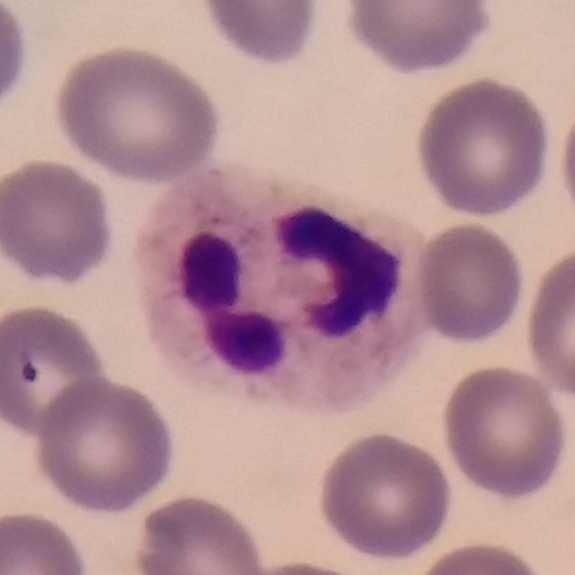

Neutrophil granulocyte.

Context: Peripheral blood smear.